Peripheral blood film.
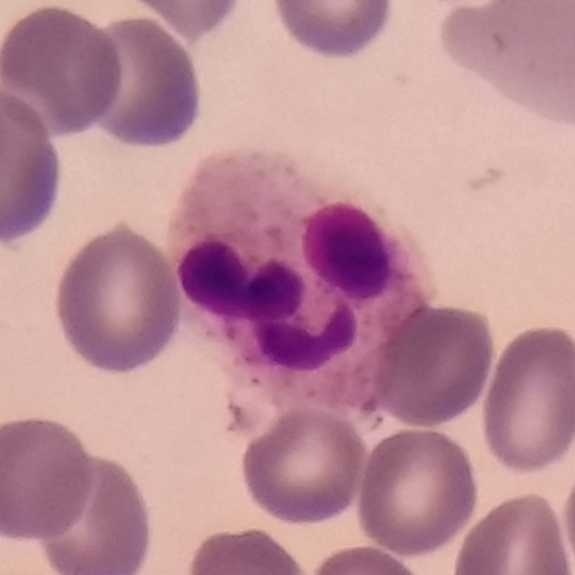

White blood cell type = neutrophil.